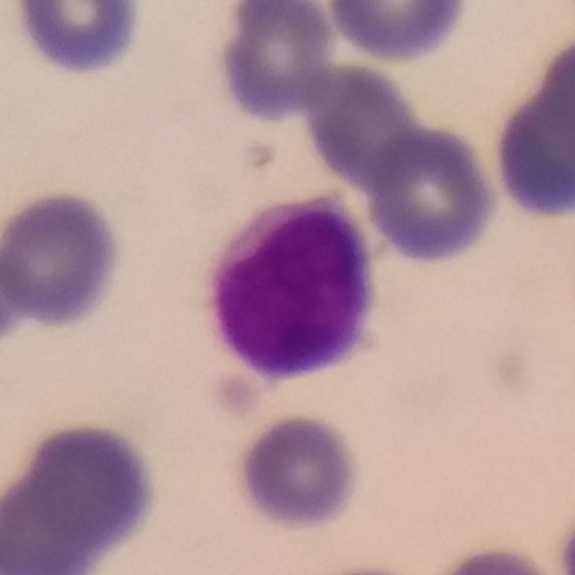Identified as a lymphocyte.